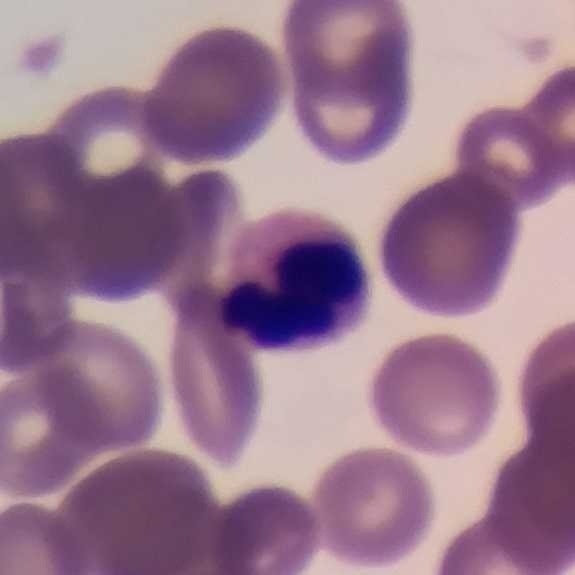
Q: Which cell type is shown here?
A: It is a neutrophil. Image: Peripheral blood film.